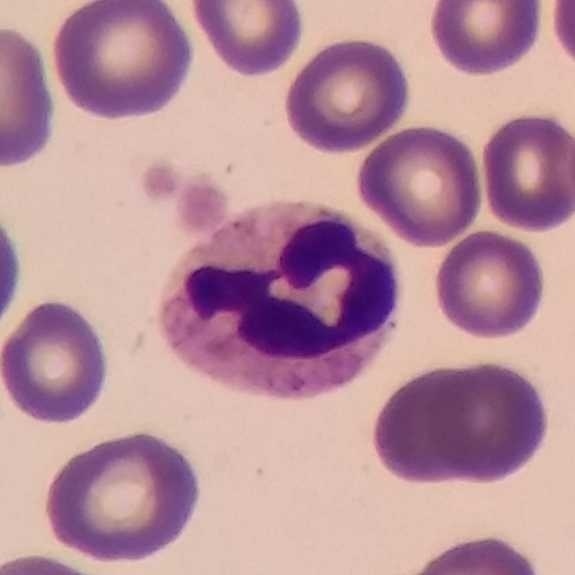

Image: Imaged at 100×; peripheral blood film. Identified as a neutrophilic granulocyte.